Peripheral blood film: 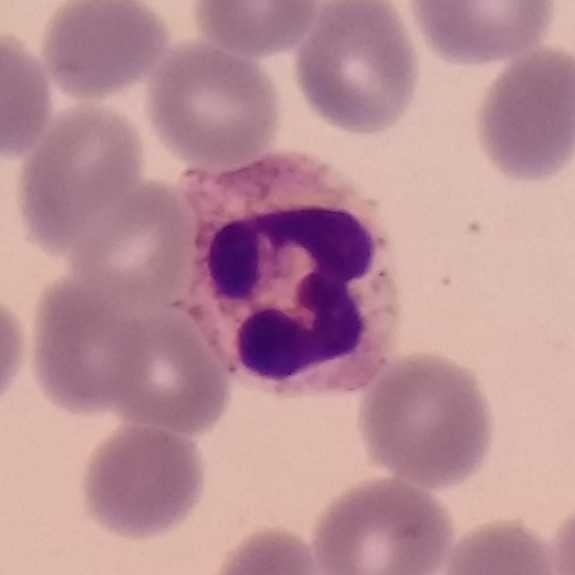 Q: What cell is this?
A: It is a neutrophilic granulocyte.